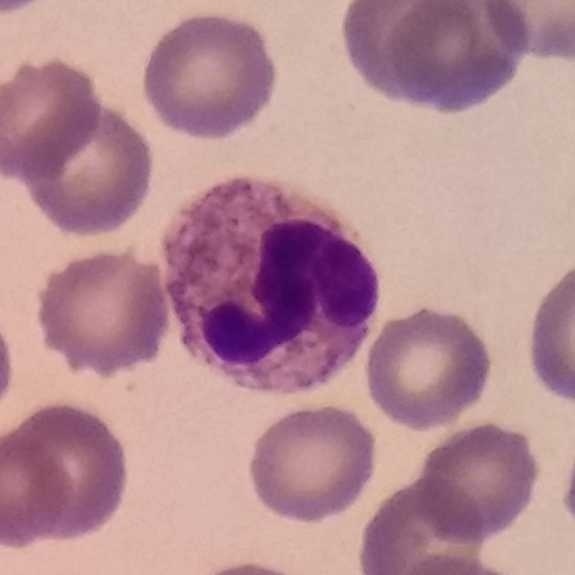 Q: What is this?
A: This is a neutrophil granulocyte.

Image: Peripheral blood smear · 575×575 px.